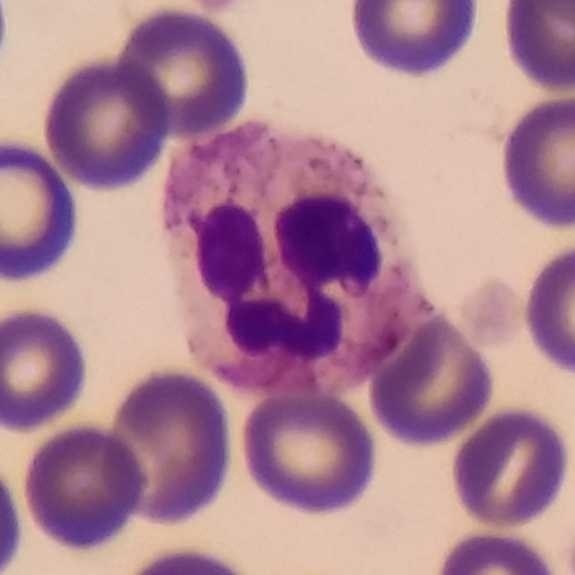 Q: Which cell type is shown here?
A: It is a neutrophil granulocyte.
Acquisition: Peripheral blood film. 100× magnification.